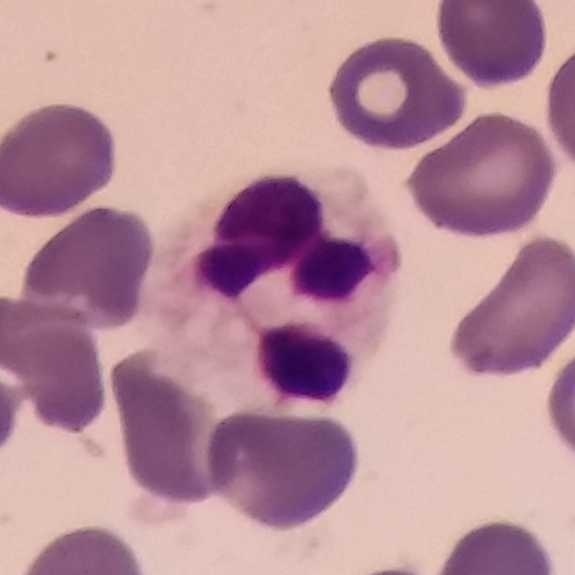 White blood cell type = neutrophilic granulocyte.